Peripheral blood smear; smartphone camera mounted on the microscope eyepiece:
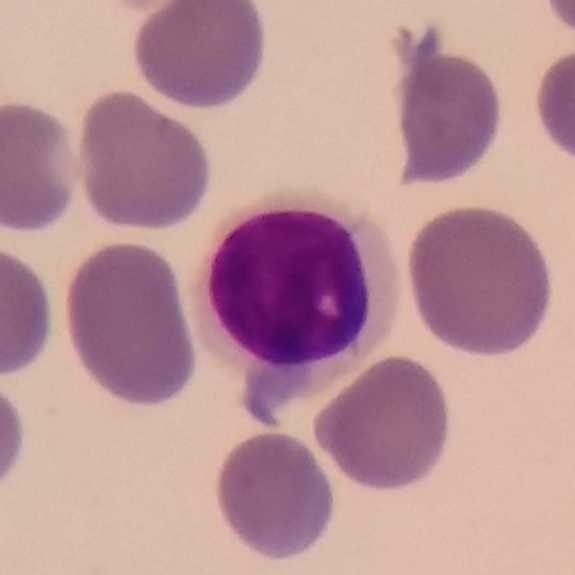White blood cell type — lymphocyte.